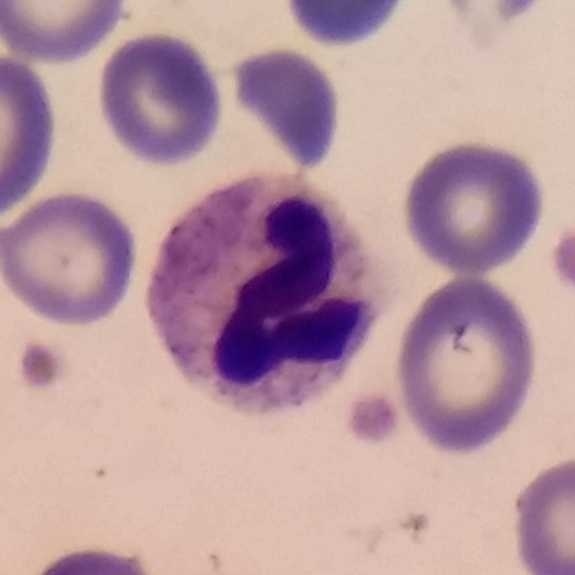Classification: neutrophil granulocyte. Image: Peripheral blood film · imaged at 100×.